Peripheral blood film — 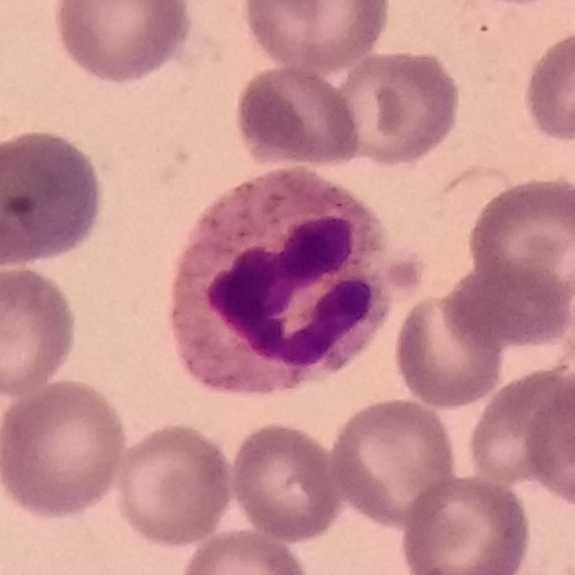Impression → neutrophil.